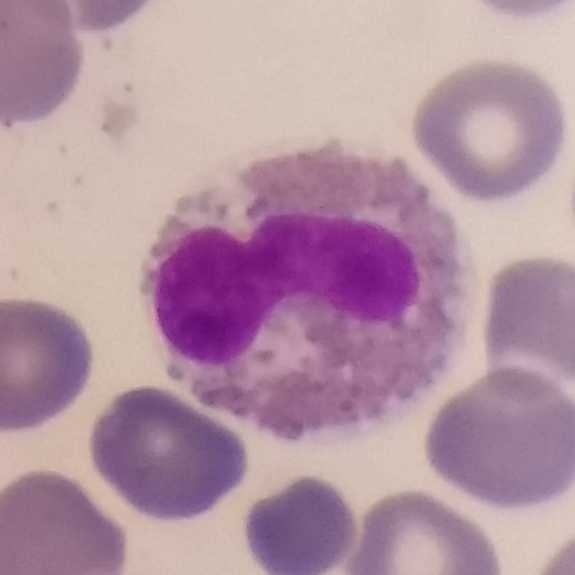

Identified as an eosinophil.